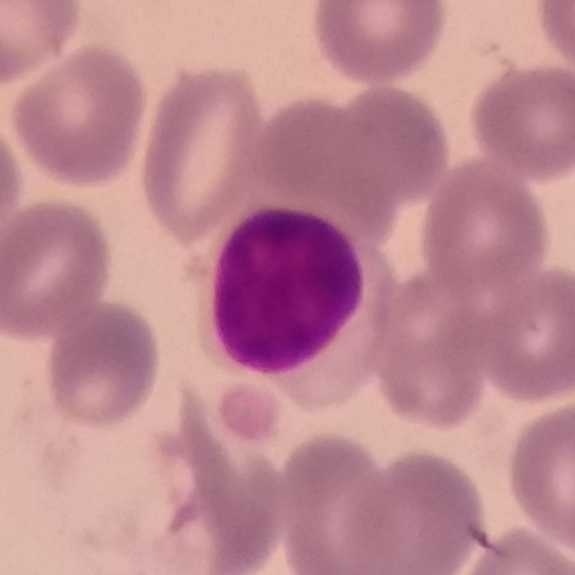White blood cell type: lymphocyte. Peripheral blood smear · Giemsa stain · smartphone photomicrograph.